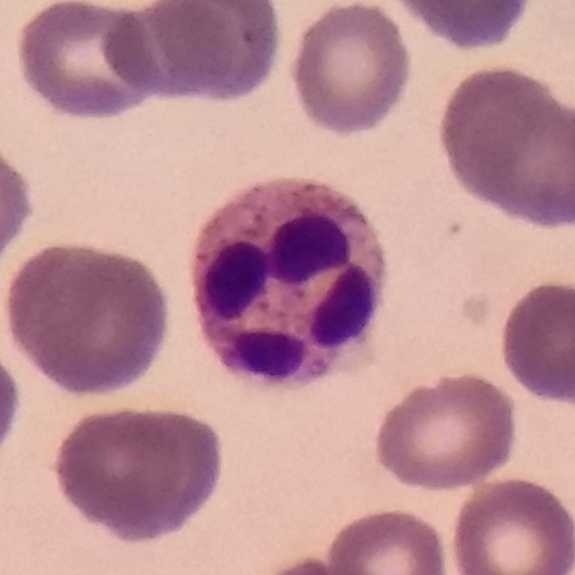

Peripheral blood smear. This is a neutrophilic granulocyte.